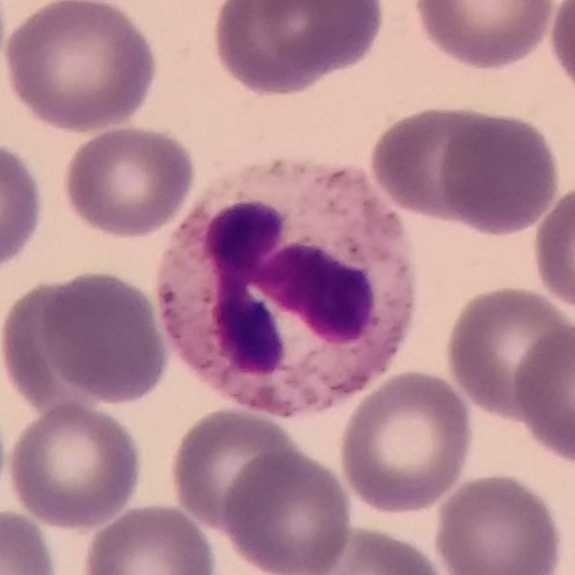

Preparation: Phone-camera image taken through the microscope ocular. Peripheral blood film. Q: Classify this leukocyte.
A: This is a neutrophilic granulocyte.